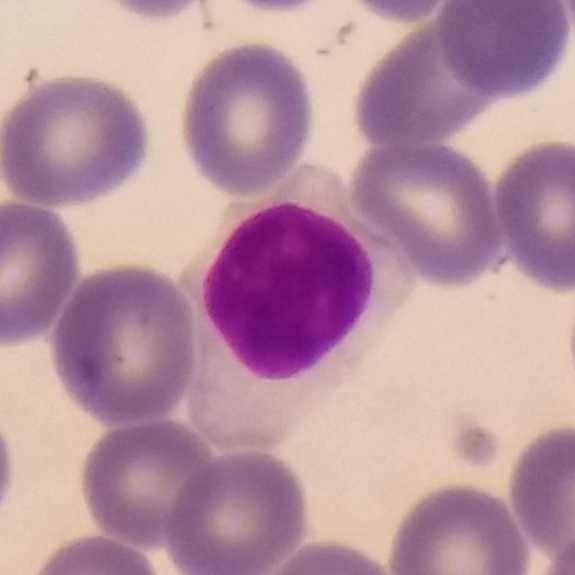 Acquisition: Peripheral blood film.

A lymphocyte.